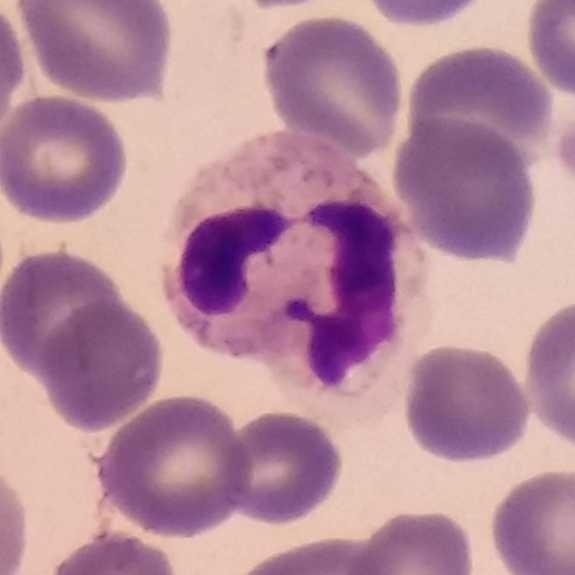 Peripheral blood smear; Giemsa-stained. The morphological class is neutrophil granulocyte.